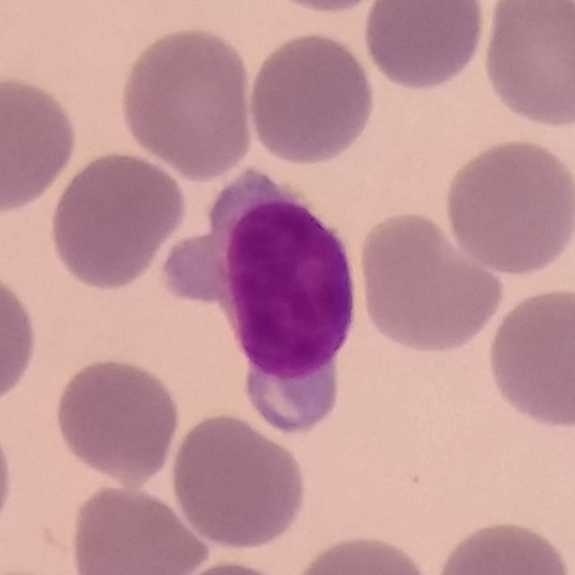 Image: Single white blood cell cropped from the smear photograph · peripheral blood film. {"cell_type": "lymphocyte", "lineage": "lymphoid"}